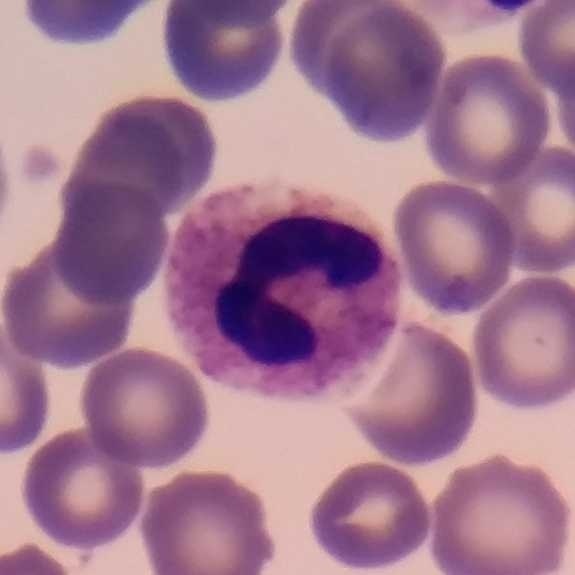

Classification: neutrophilic granulocyte.

Preparation: 575×575 px · peripheral blood smear.